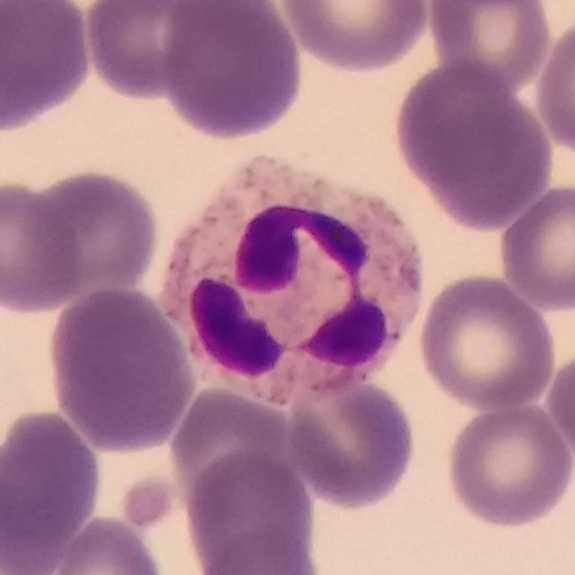 Peripheral blood smear showing a neutrophilic granulocyte.